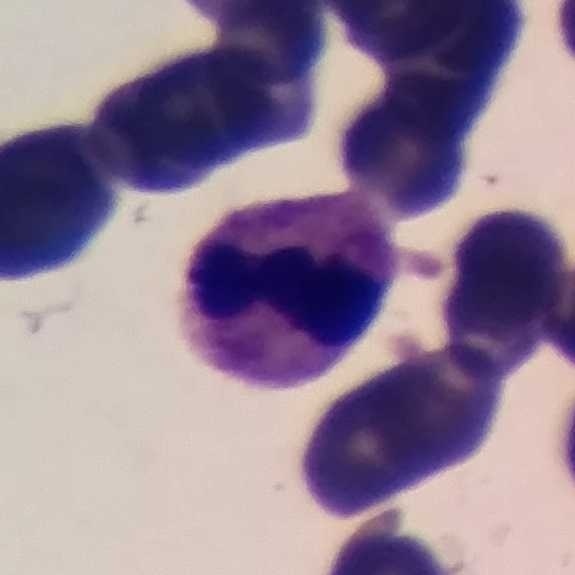

Acquisition: Stained with Giemsa · peripheral blood smear. Classification = neutrophil granulocyte.